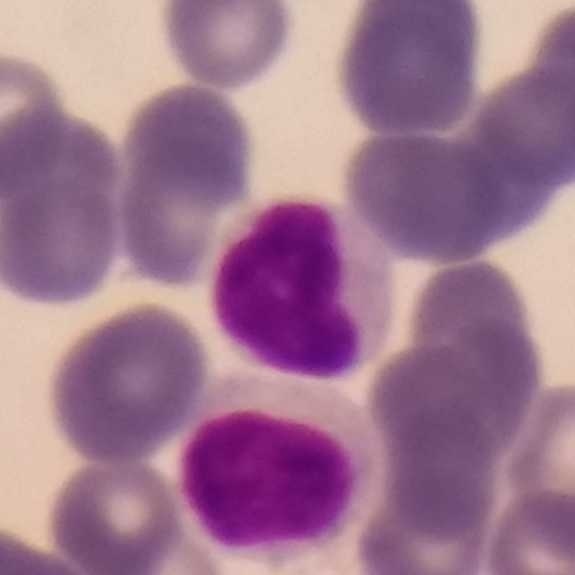Image: Peripheral blood smear. The cell shown is a lymphocyte.